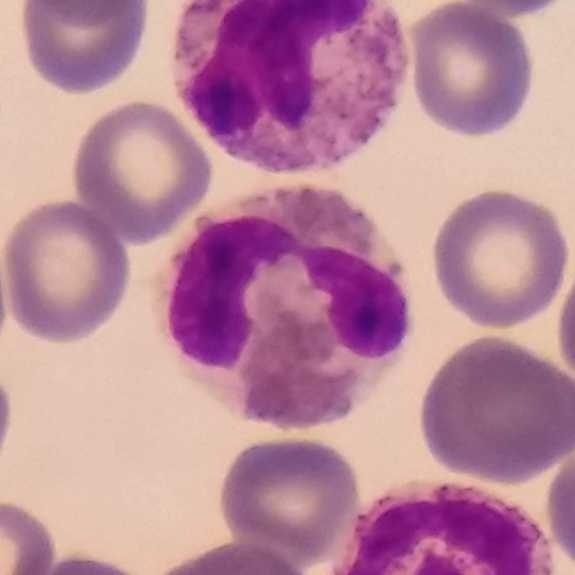

Image: Single white blood cell cropped from the smear photograph. Peripheral blood film.
Q: What cell is this?
A: An eosinophil.